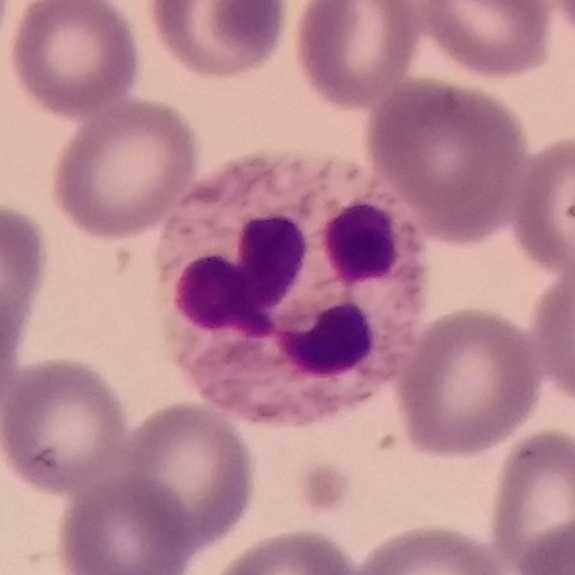

Morphology → neutrophil.
Context: Giemsa-stained. 575×575. Peripheral blood film.